Peripheral blood smear — 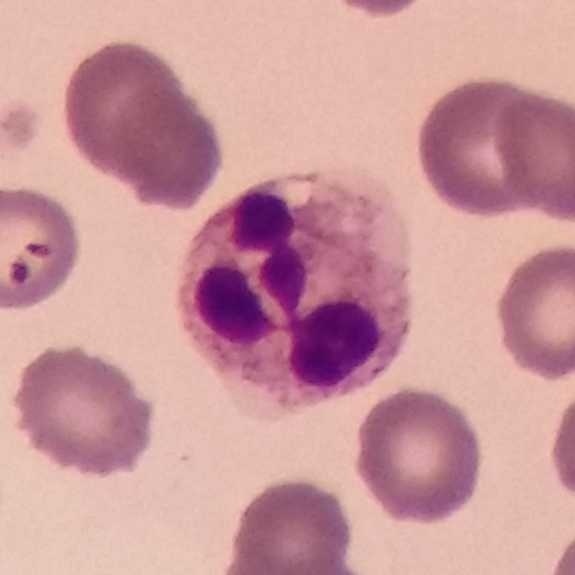 Morphological class = neutrophilic granulocyte.